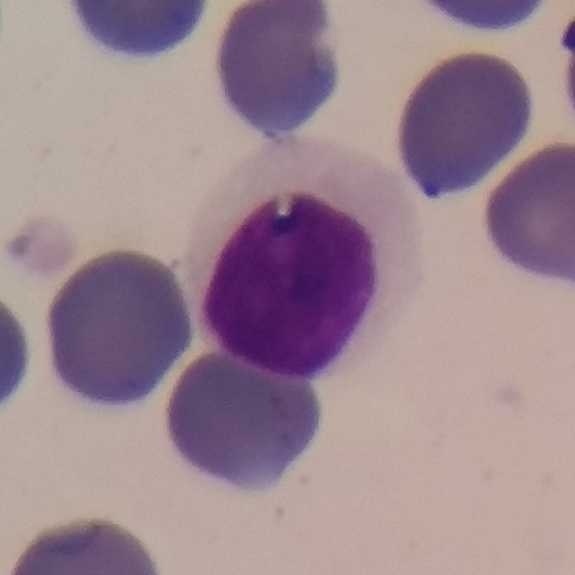Peripheral blood smear · single white blood cell cropped from the smear photograph.
Showing a lymphocyte.